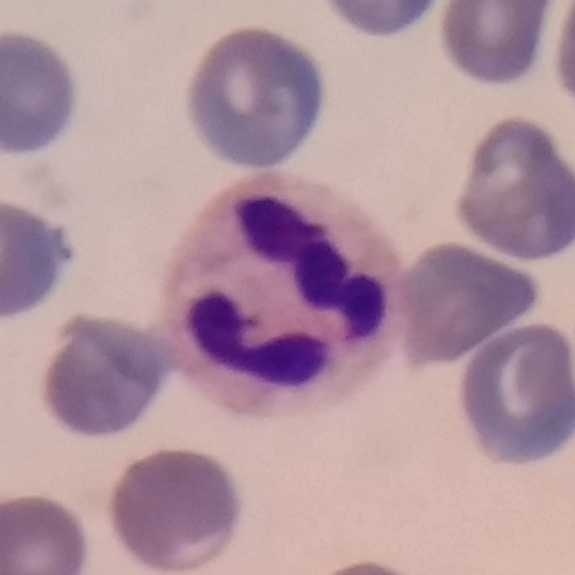

Specimen: peripheral blood smear.
Cell type: neutrophil.